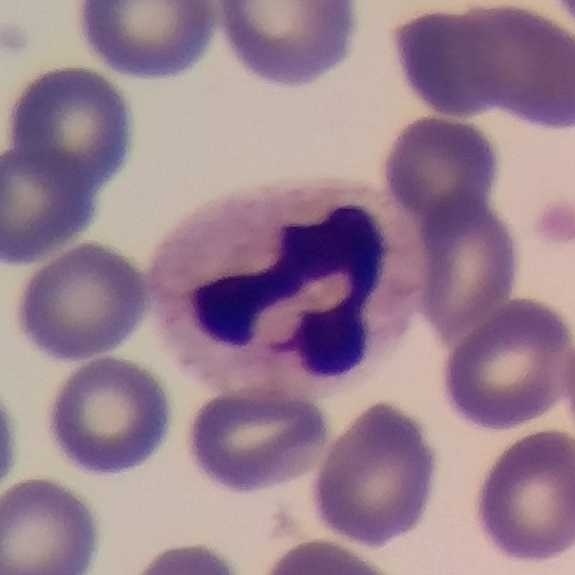 Q: Classify this leukocyte.
A: A neutrophil granulocyte.